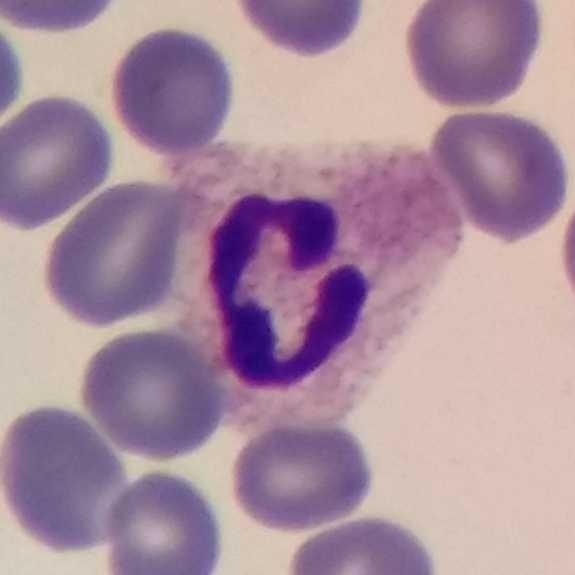
Morphology — neutrophil.